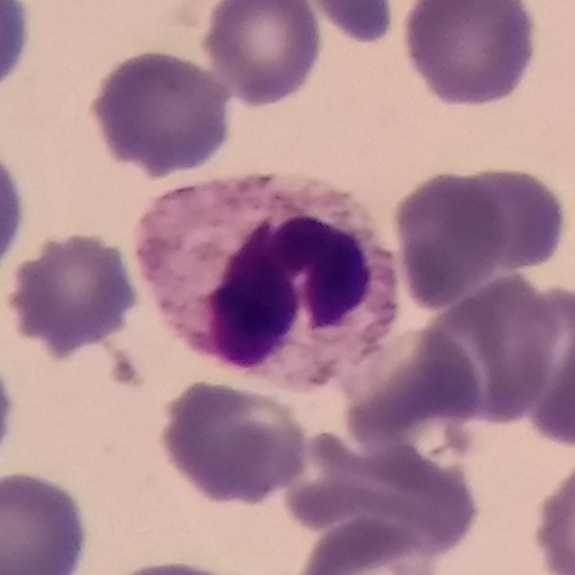
Acquisition: Photographed through a light microscope with a smartphone camera · peripheral blood film. Cell type: neutrophil.